Peripheral blood smear:
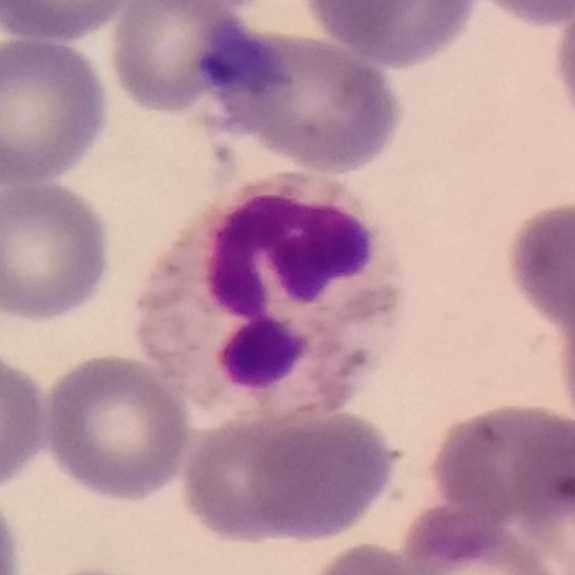

Morphological class = neutrophil.